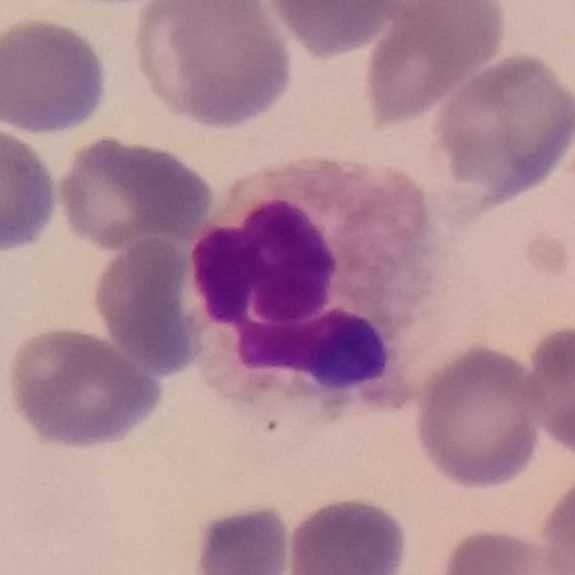
Preparation: Giemsa-stained. Peripheral blood film. Single-cell field. Morphology — neutrophil granulocyte.